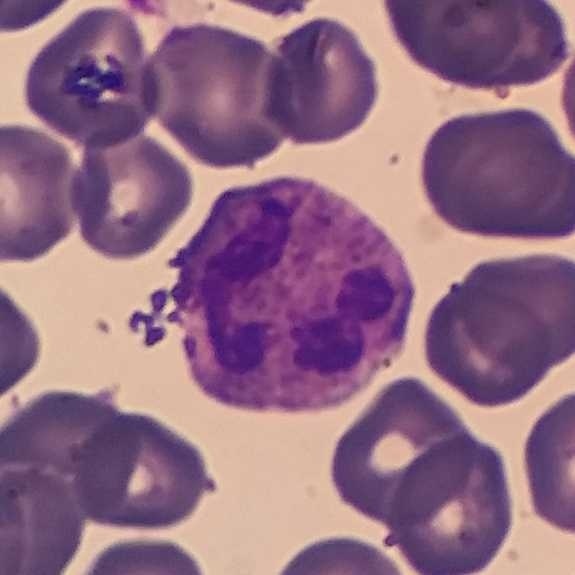The cell shown is a neutrophil granulocyte.

Acquisition: Peripheral blood film.